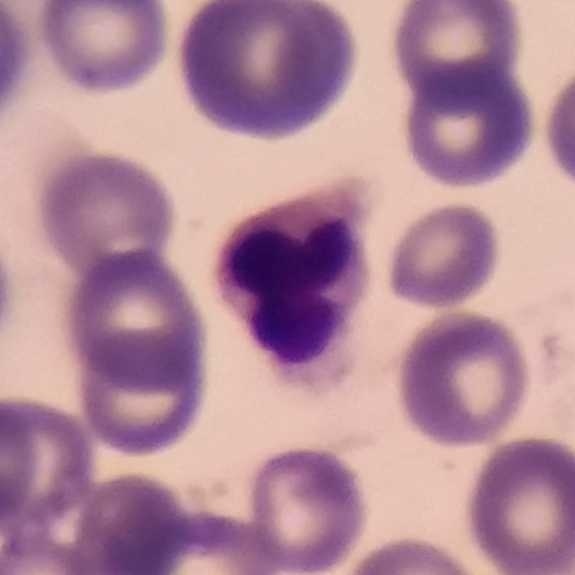
Acquisition: Imaged at 100×; peripheral blood film.
The cell shown is a neutrophil granulocyte.